Cropped to one leukocyte. Peripheral blood film. 100× magnification — 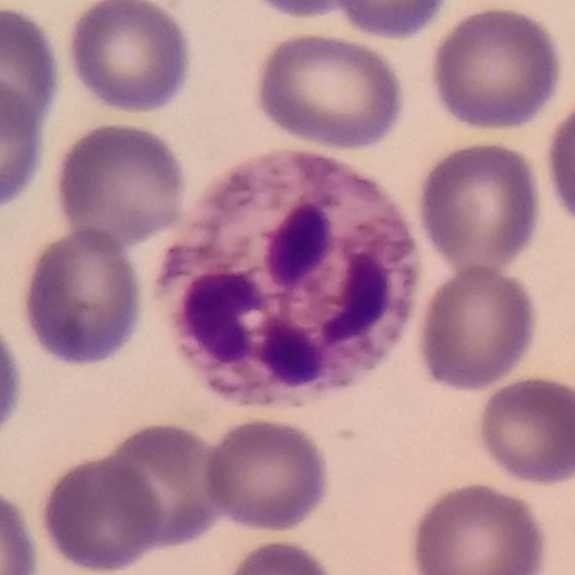 Cell = neutrophil.